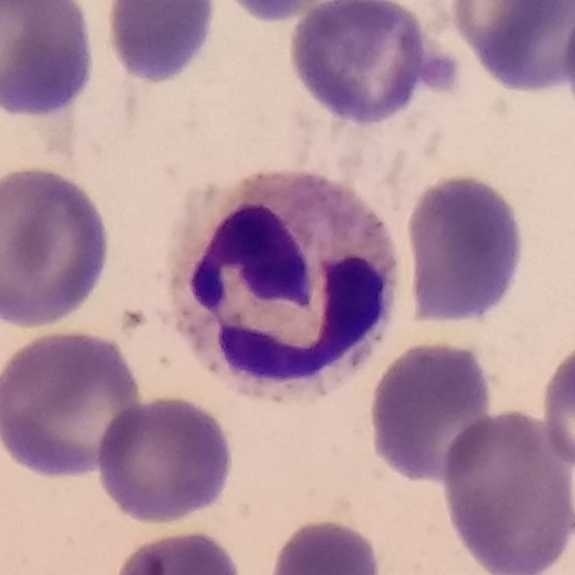 Q: Which cell type is shown here?
A: It is a neutrophil. Image: Cropped to one leukocyte · peripheral blood smear.